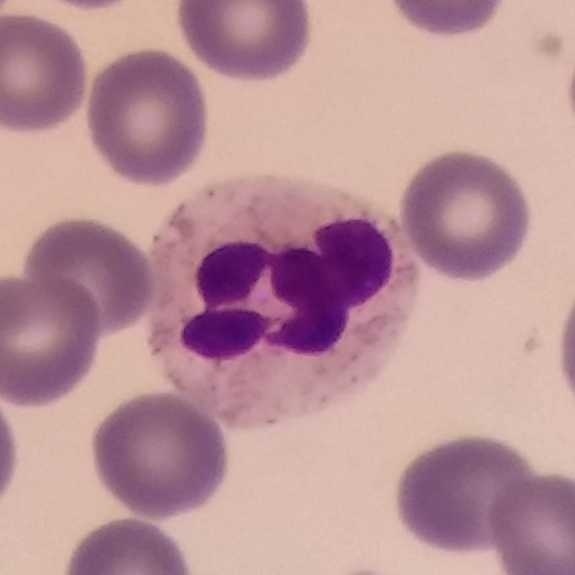

Single cell identified as a neutrophilic granulocyte.